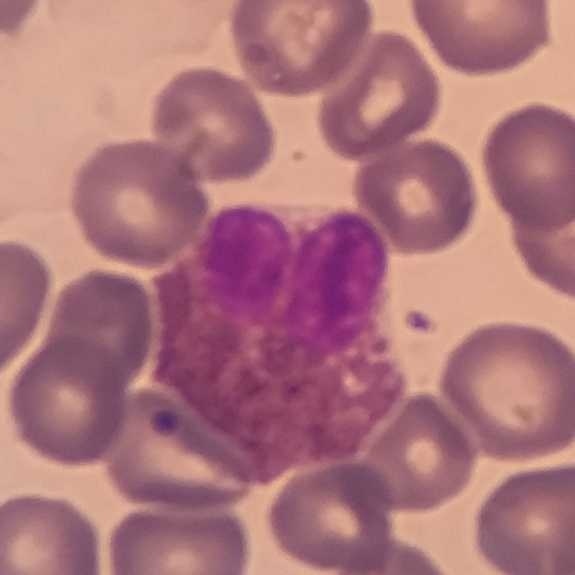Single-cell crop; 575×575 px.

Specimen: peripheral blood smear.
Morphological class: eosinophilic granulocyte.